Peripheral blood smear.
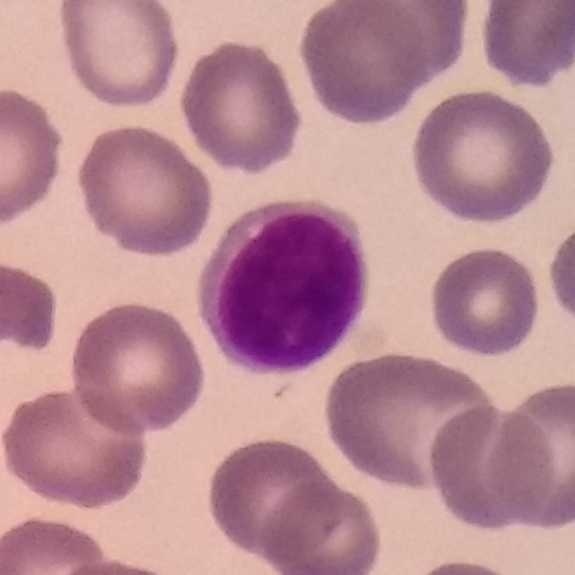 Lymphocyte.